Image size 575×575 · peripheral blood film · imaged at 100×: 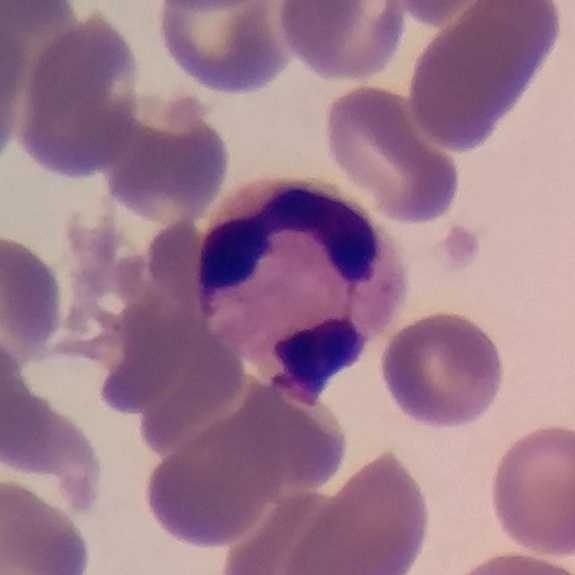

Neutrophil granulocyte.